Peripheral blood smear.
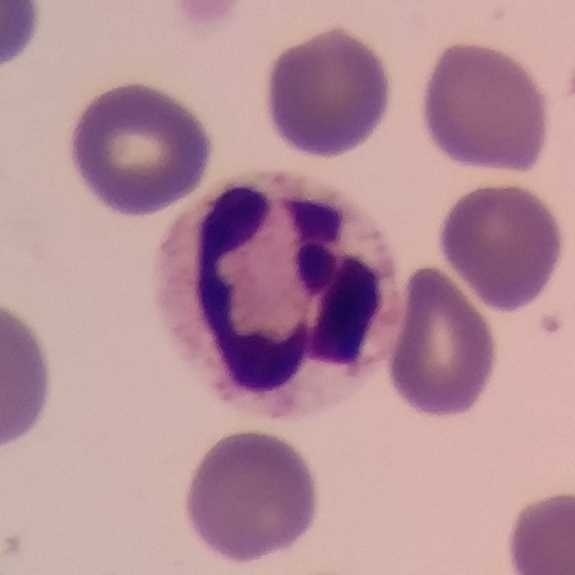{"cell_type": "neutrophil granulocyte"}